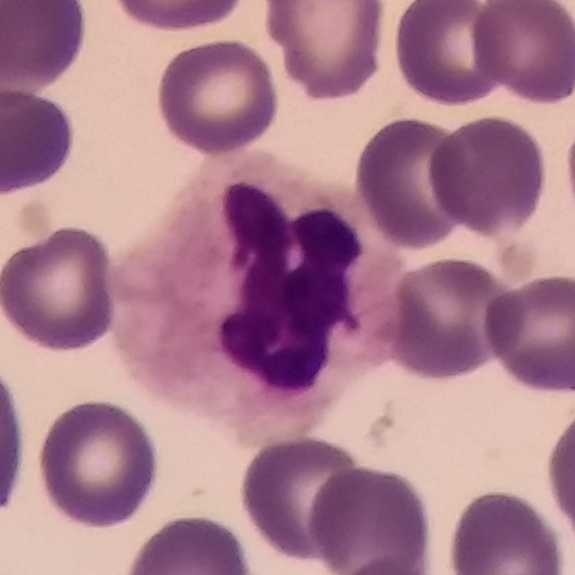 Acquisition: Peripheral blood film.

Morphology → neutrophil.